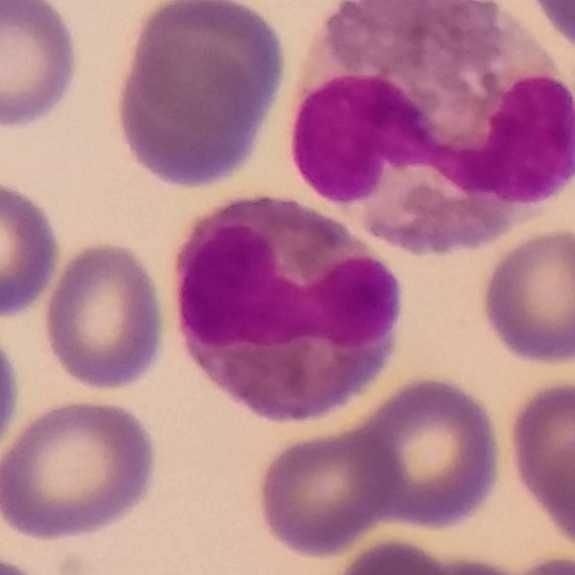

Context: Peripheral blood smear.
Eosinophil.